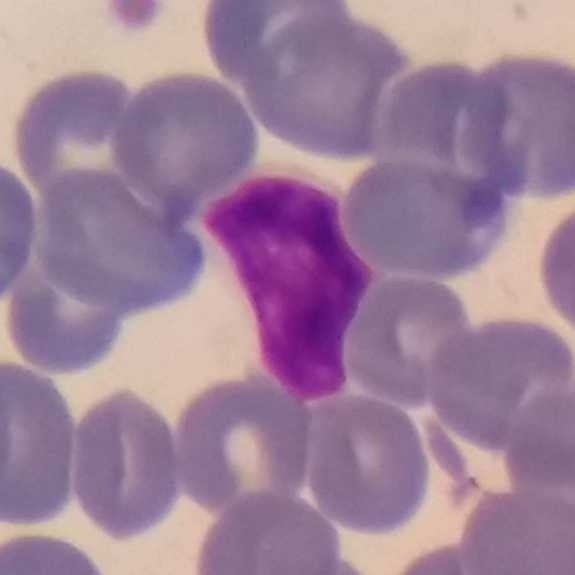
Single-cell field. Peripheral blood film. Image size 575×575. Identified as a lymphocyte.